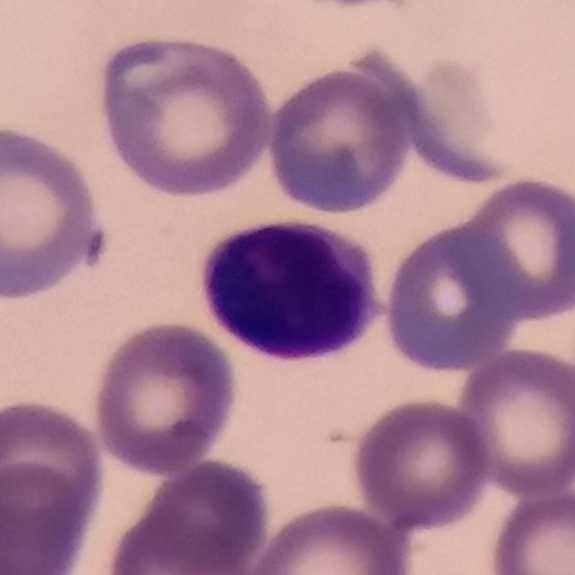
Classification: lymphocyte.
Peripheral blood smear.